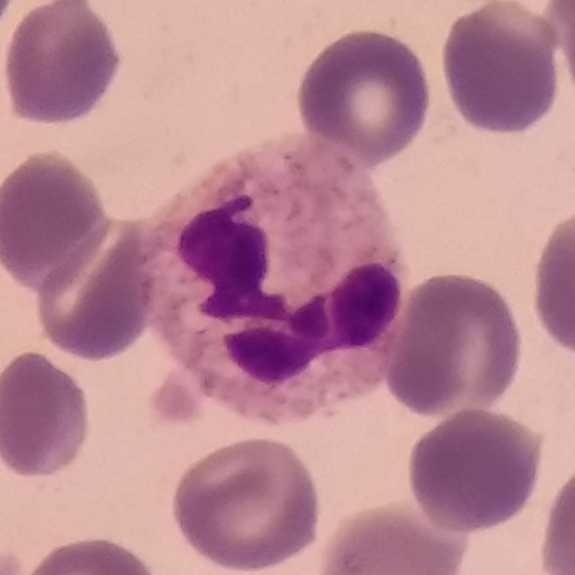

Specimen: peripheral blood smear.
Morphological class: neutrophil.